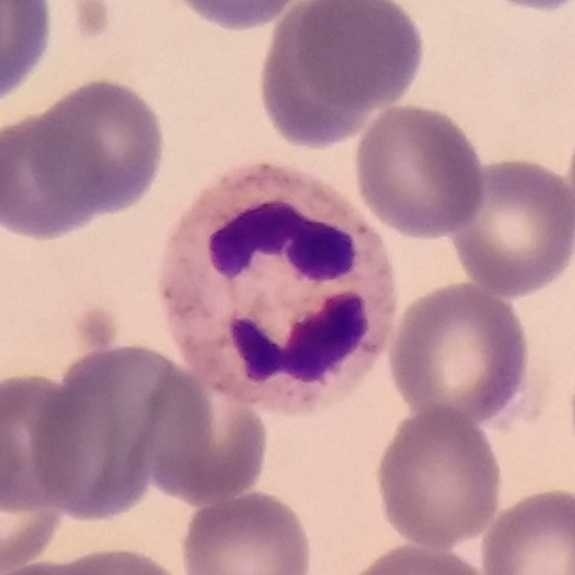 Image: Peripheral blood film.

Classification — neutrophilic granulocyte.